Peripheral blood film — 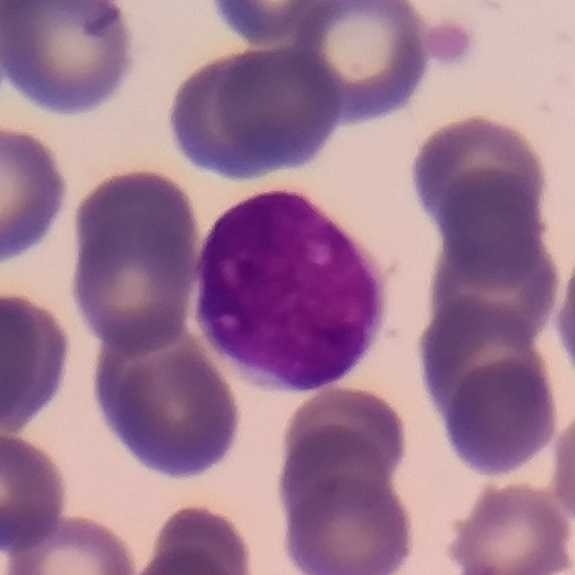
The white blood cell type is lymphocyte.